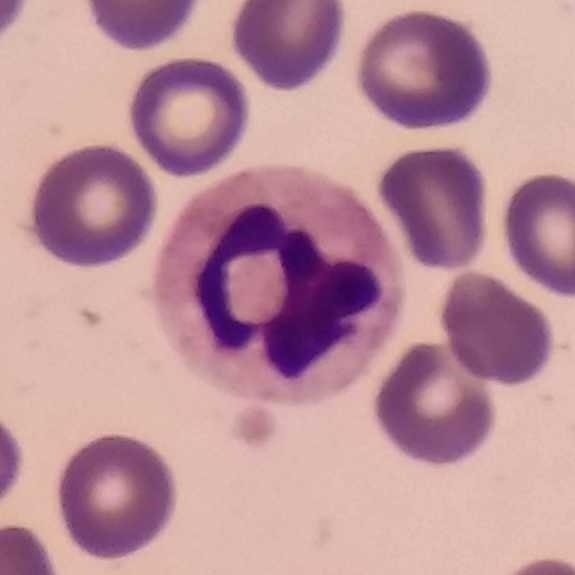
Single white blood cell cropped from the smear photograph · stained with Giemsa · peripheral blood film.

Single cell identified as a neutrophil.